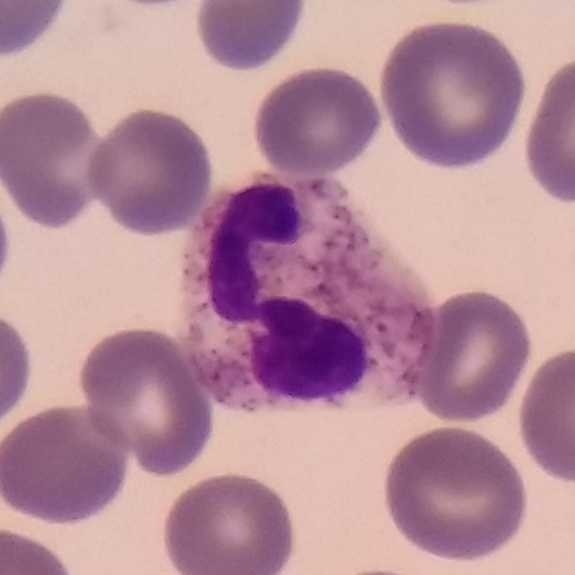
Identified as a neutrophil.
Image: Giemsa-stained · peripheral blood film · imaged at 100×.